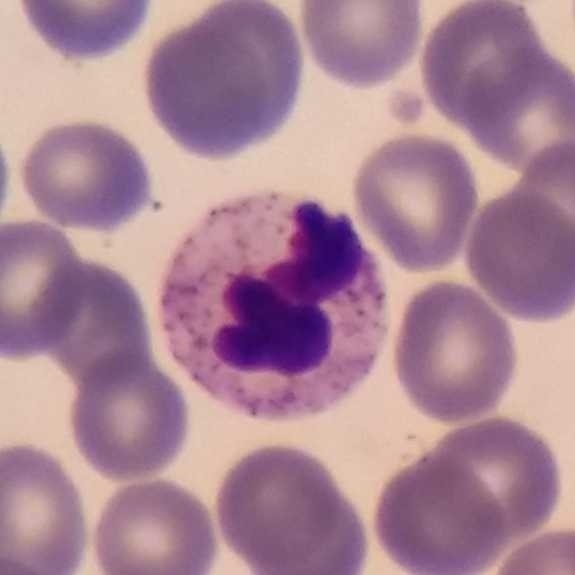

Morphology — neutrophil granulocyte.

Acquisition: Magnification 100× · peripheral blood smear.